Peripheral blood smear
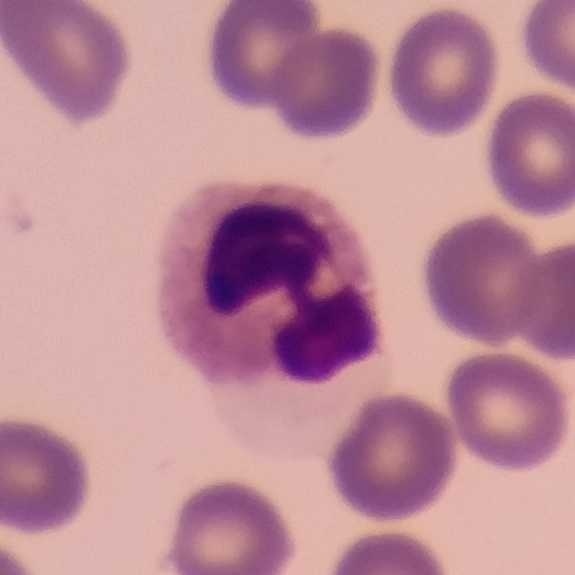

Morphology — neutrophil granulocyte.